Peripheral blood smear. Single-cell crop:
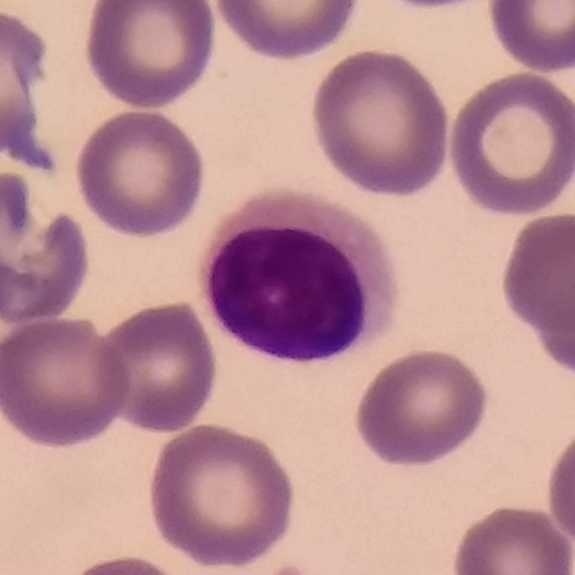

Cell type: lymphocyte.